Peripheral blood film: 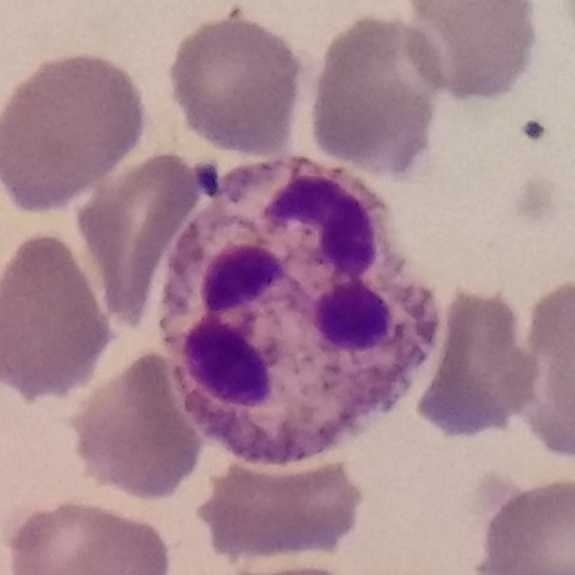 This is a neutrophil granulocyte.